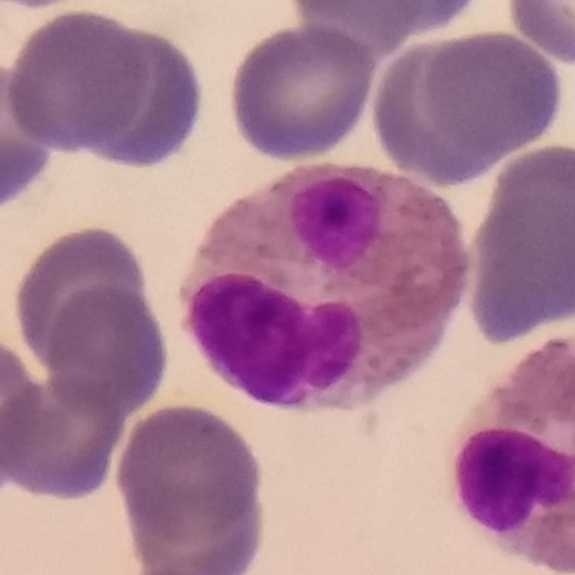 Context: Peripheral blood film.
Q: What cell is this?
A: This is an eosinophilic granulocyte.